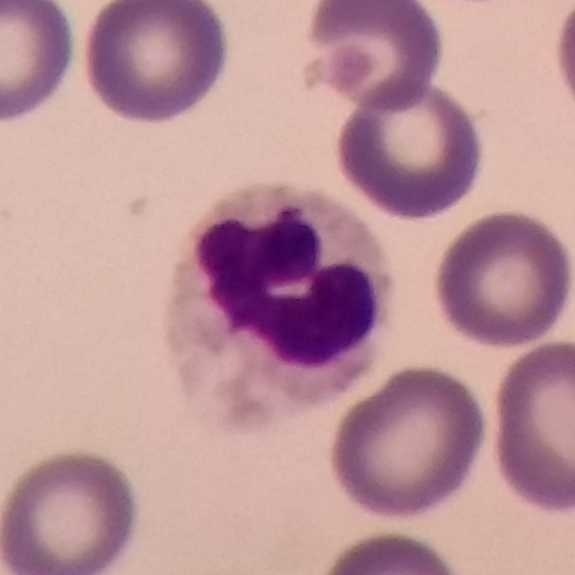
Cell type: neutrophil.
Smartphone photomicrograph · peripheral blood film.